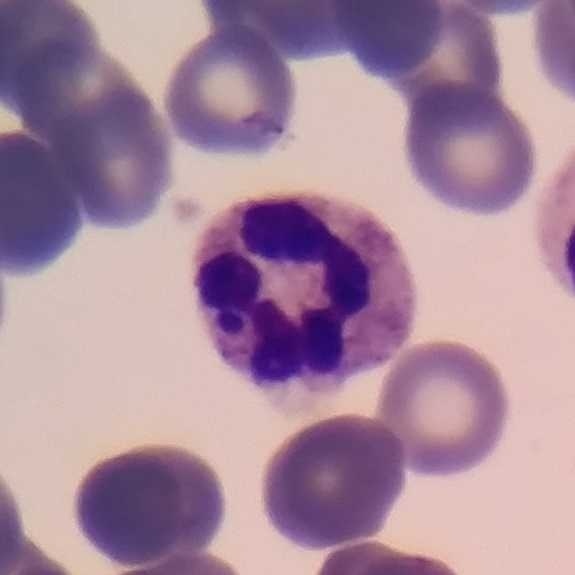 Context: Peripheral blood smear; 575×575 px.

Q: What is shown here?
A: This is a neutrophil.